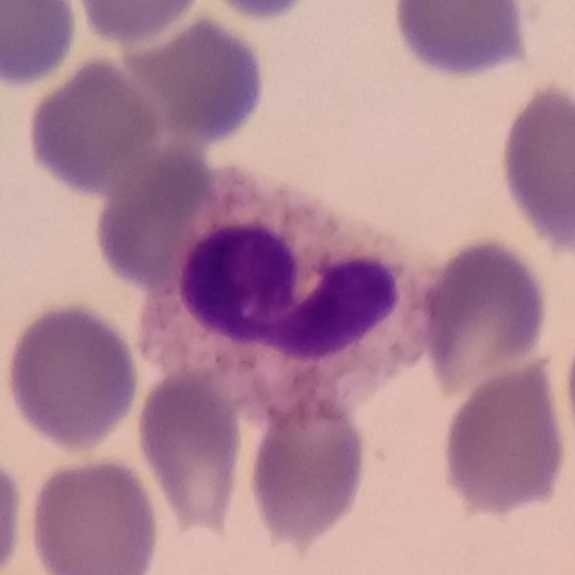Single cell identified as a neutrophilic granulocyte. Preparation: Peripheral blood smear; Giemsa stain.